Peripheral blood smear — 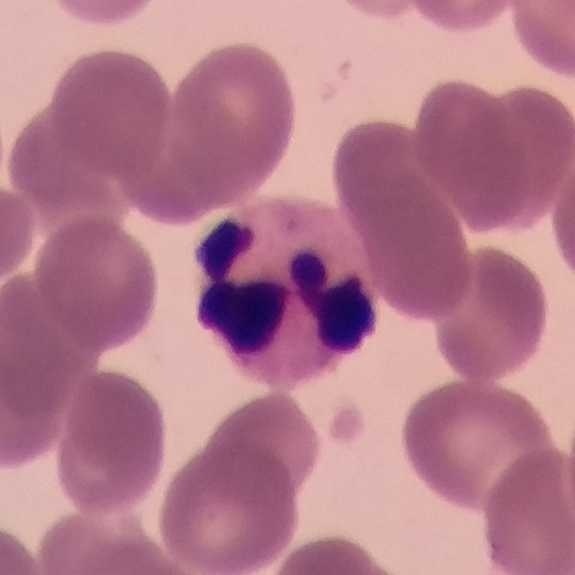 The cell shown is a neutrophil.